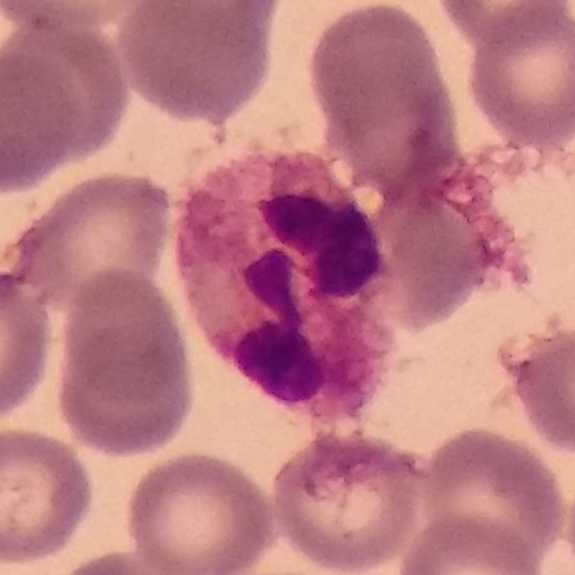

Peripheral blood smear. Morphological class = neutrophil.